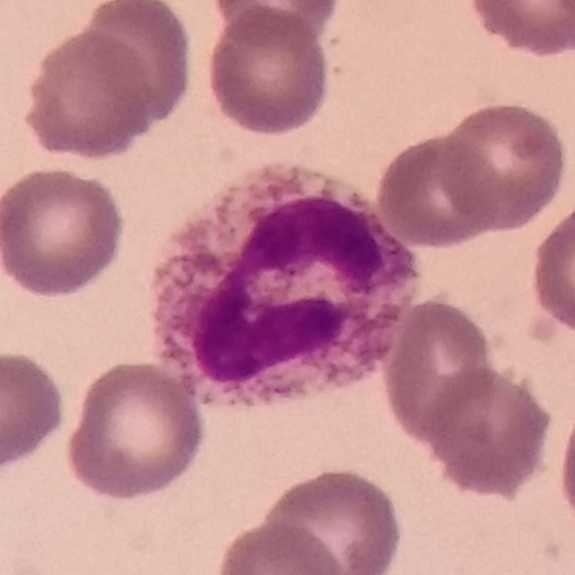 Q: Identify the cell.
A: This is a neutrophil granulocyte.

Image: Peripheral blood smear.